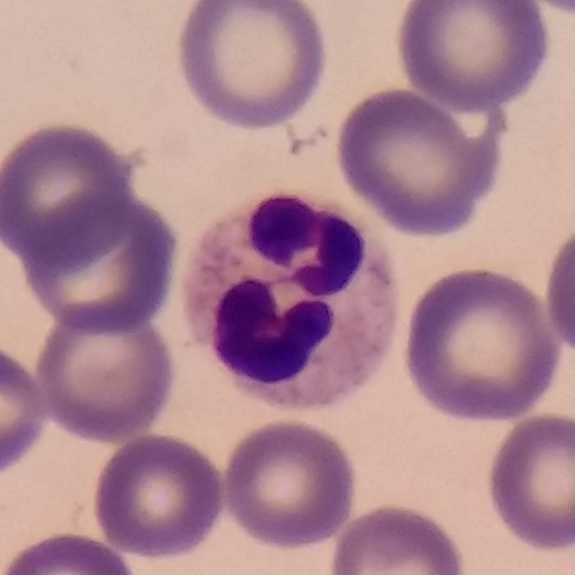

White blood cell type: neutrophil. Acquisition: Peripheral blood smear.